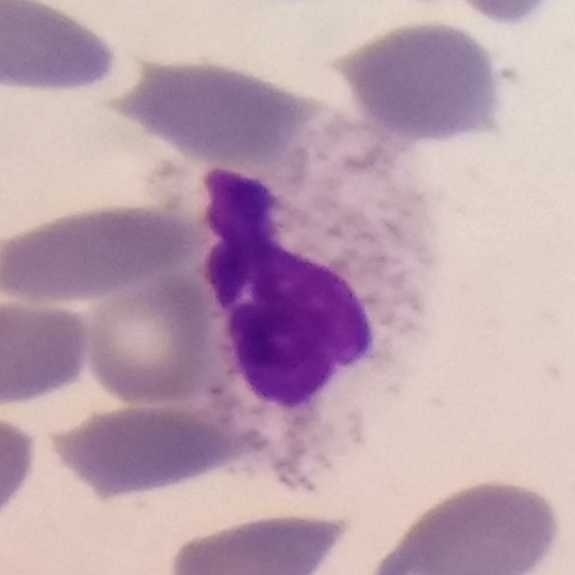

Q: What is the morphological classification of this cell?
A: Neutrophil granulocyte.